Smartphone photomicrograph; peripheral blood film
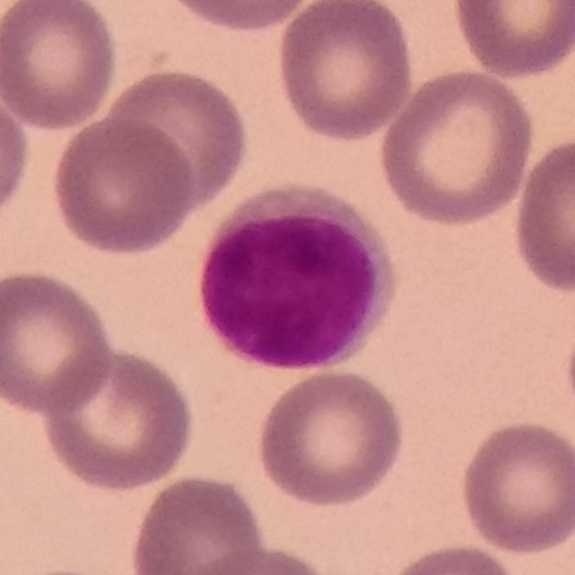

Cell type: lymphocyte.